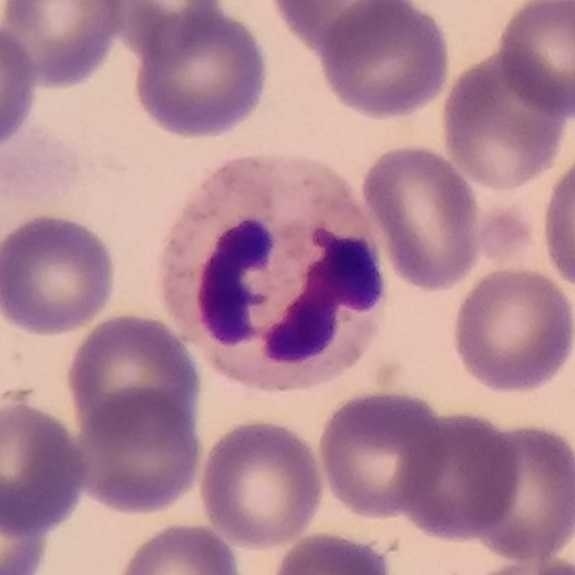Context: Peripheral blood smear. Impression → neutrophil granulocyte.